Giemsa stain · peripheral blood smear
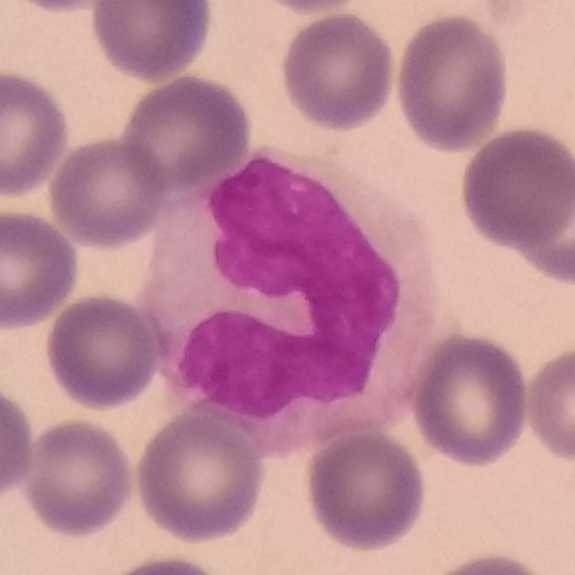 Single cell identified as a monocyte.